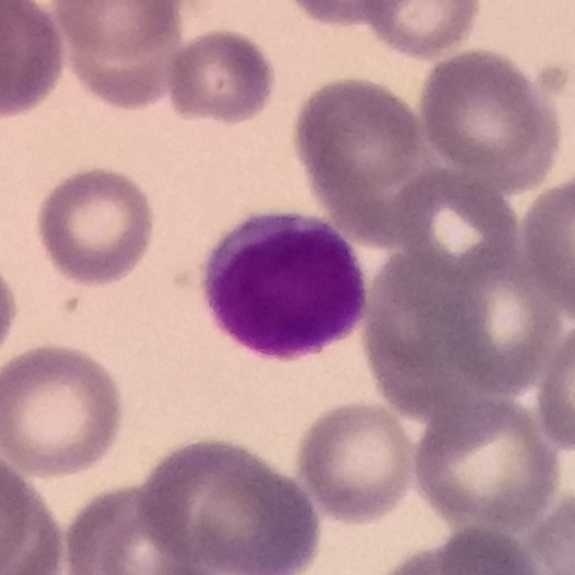
Specimen: peripheral blood smear.
Cell: lymphocyte.